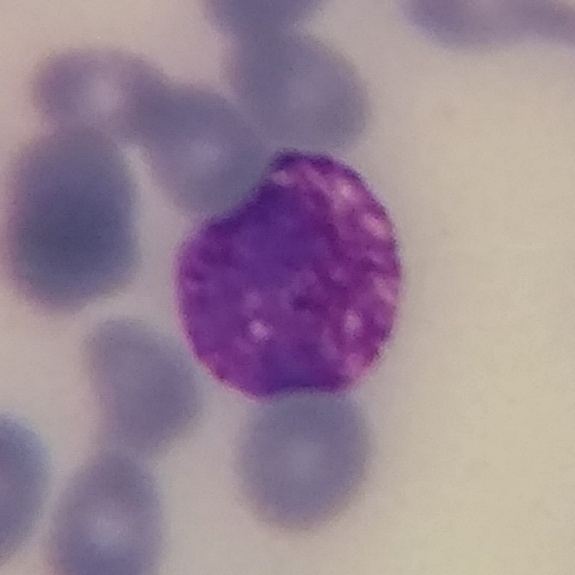
Specimen: peripheral blood film.
White blood cell type: basophil.
Lineage: myeloid. Image: Single-cell crop.